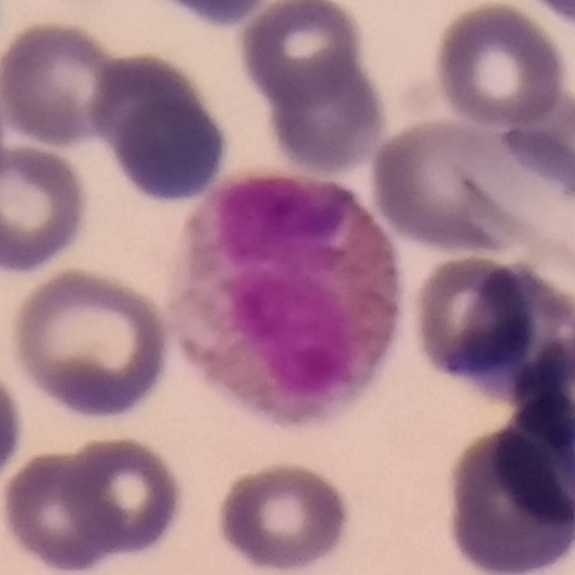Peripheral blood smear showing an eosinophil.